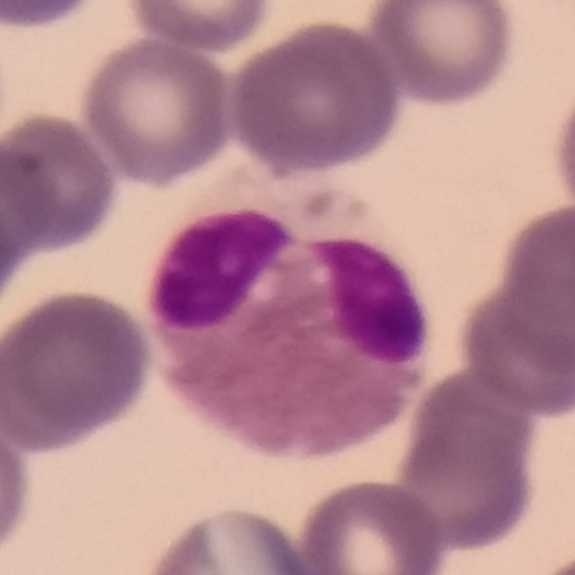

Peripheral blood film, single cell — eosinophil.